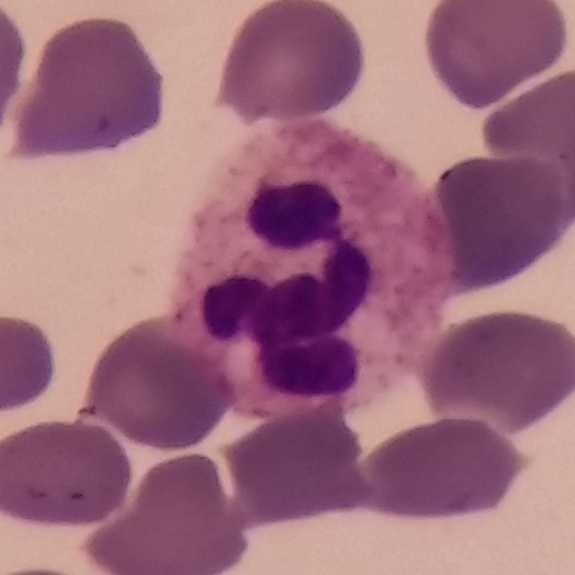 {"cell_type": "neutrophil granulocyte", "lineage": "myeloid"}

Preparation: Peripheral blood smear.